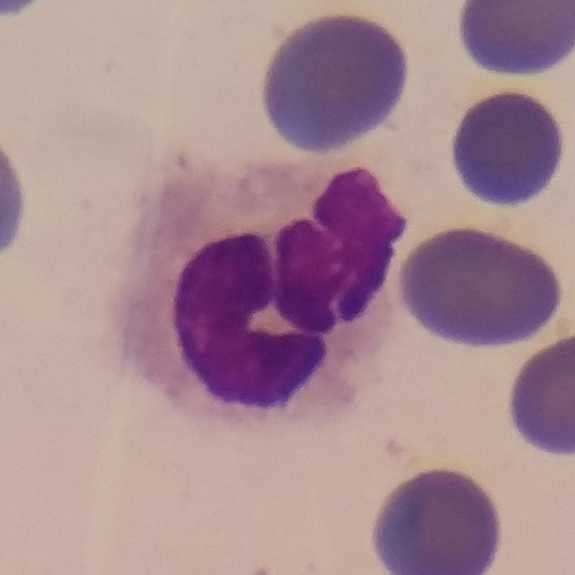
Specimen: peripheral blood smear.
Classification: neutrophilic granulocyte.